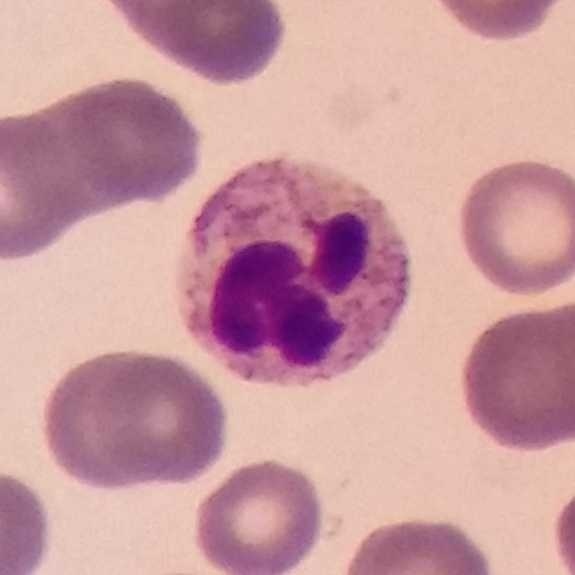

The cell is neutrophil.